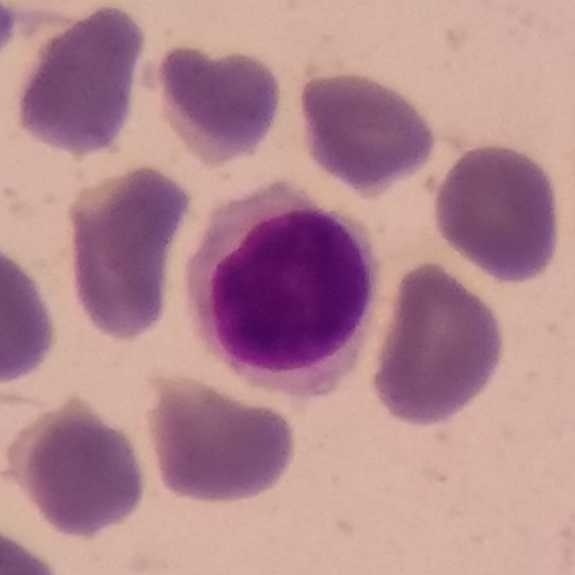

Context: Giemsa-stained. Specimen: peripheral blood smear.
Cell: lymphocyte.
Lineage: lymphoid.